Peripheral blood film.
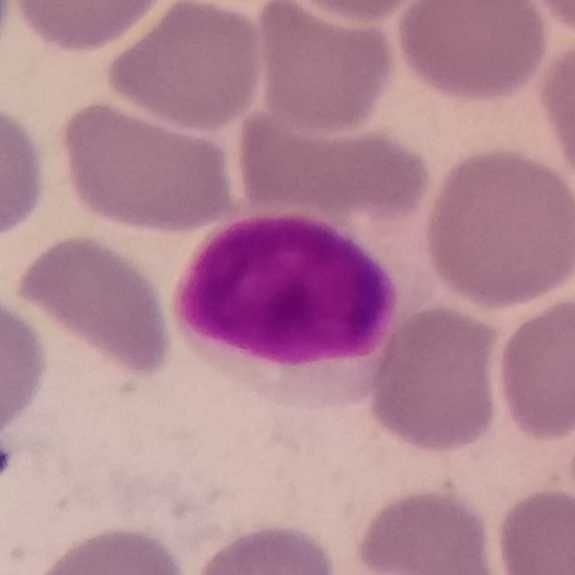 Q: What is this?
A: It is a lymphocyte.